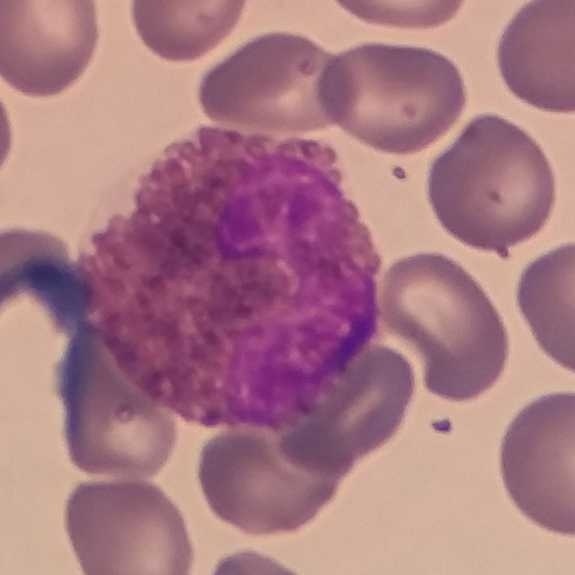The white blood cell in this image is an eosinophilic granulocyte.